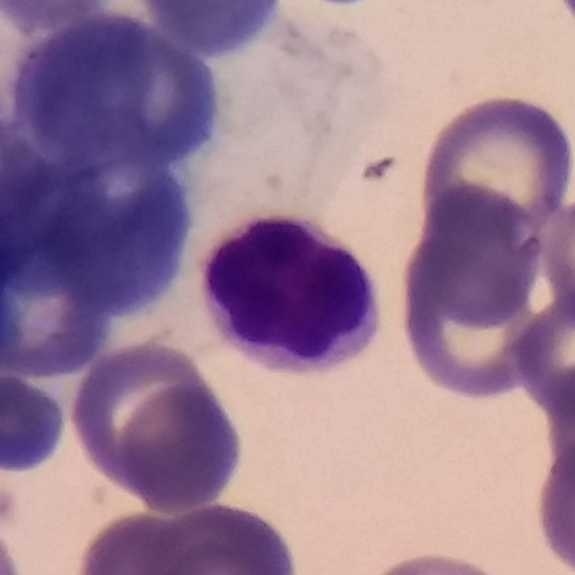
Cell type = lymphocyte.

Peripheral blood film.